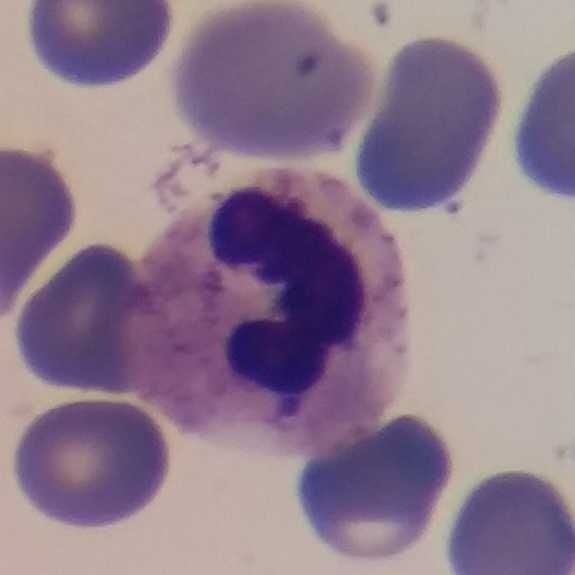
{"cell_type": "neutrophil", "lineage": "myeloid"}

Acquisition: Giemsa-stained · peripheral blood smear.